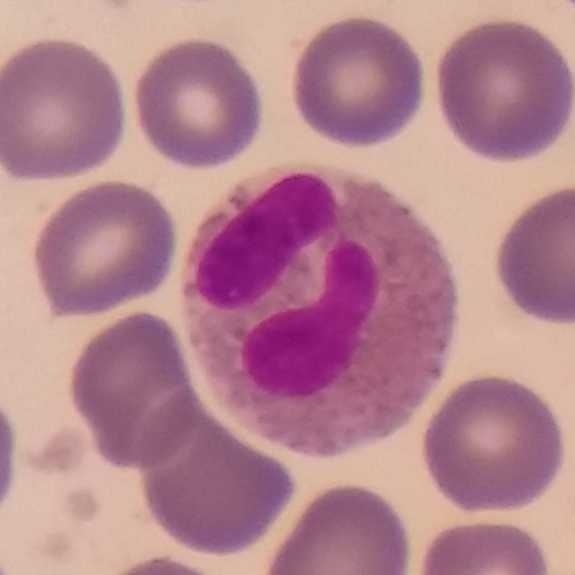 Q: Which type of white blood cell is this?
A: It is an eosinophilic granulocyte.